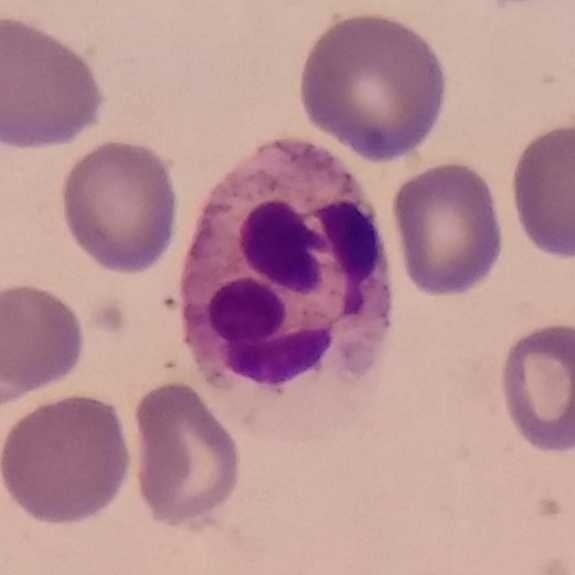
Showing a neutrophil granulocyte.